Peripheral blood smear — 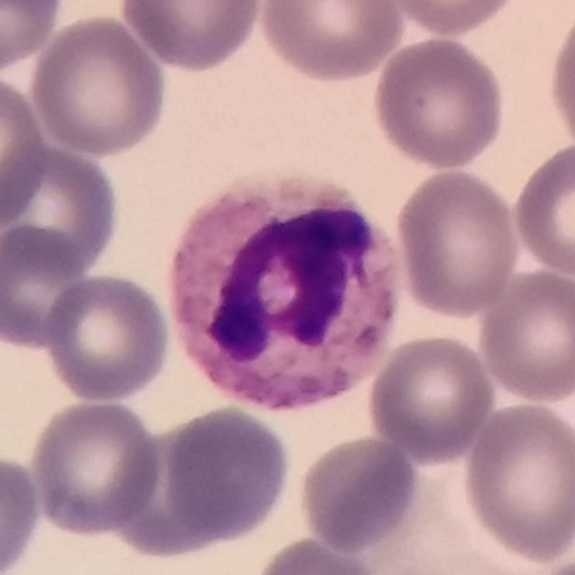Q: Which cell type is shown here?
A: This is a neutrophilic granulocyte.